Peripheral blood smear:
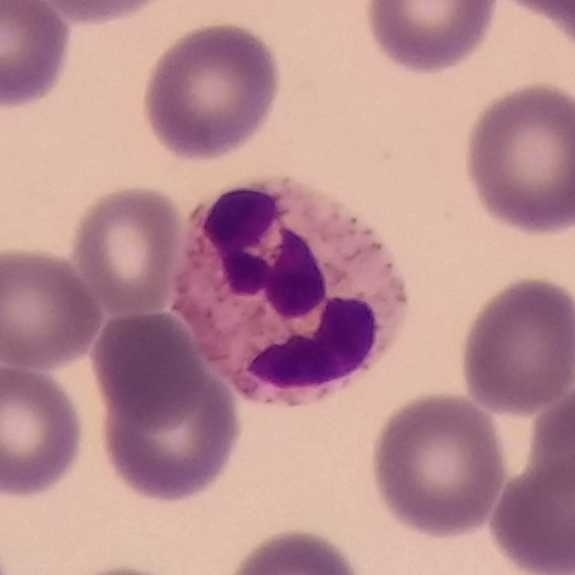A neutrophil granulocyte.